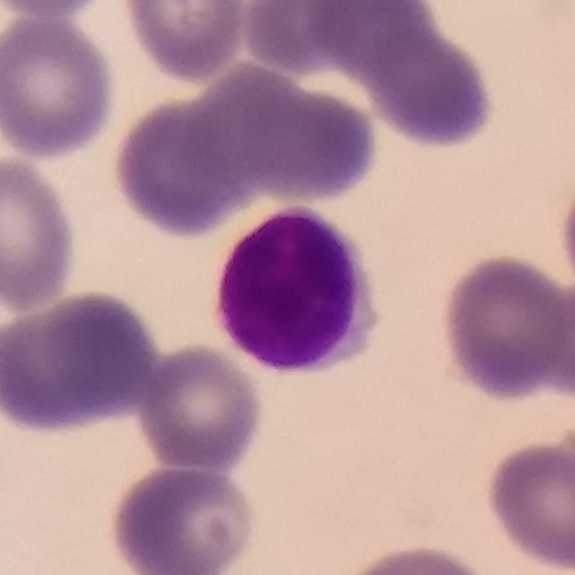

Morphological class — lymphocyte.
Peripheral blood smear.